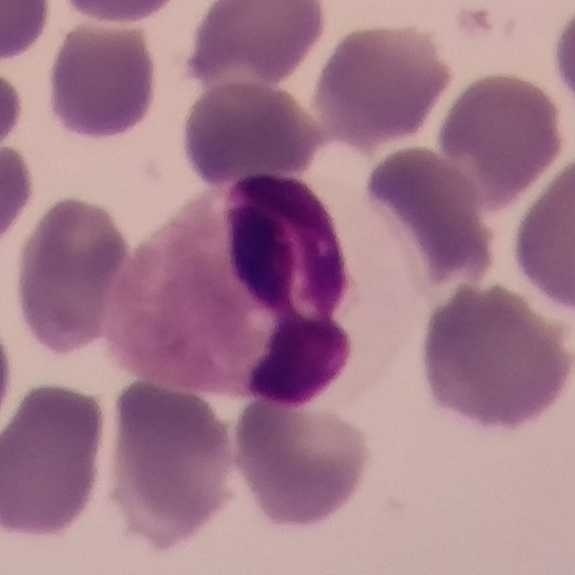 Preparation: Peripheral blood smear.

The white blood cell in this image is a neutrophil granulocyte.